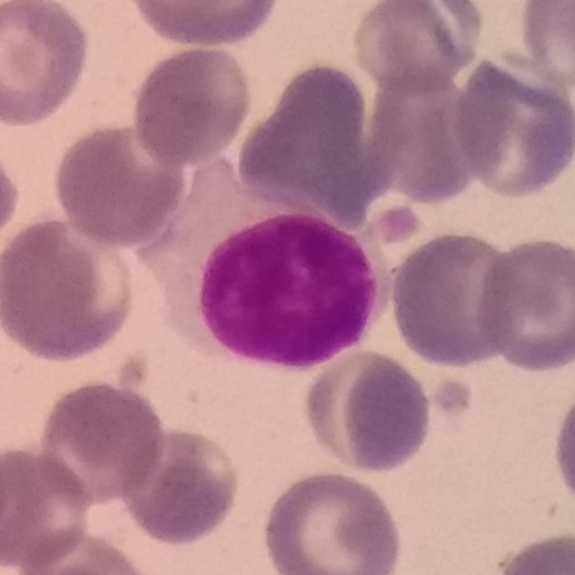Q: What is the morphological classification of this cell?
A: A lymphocyte.